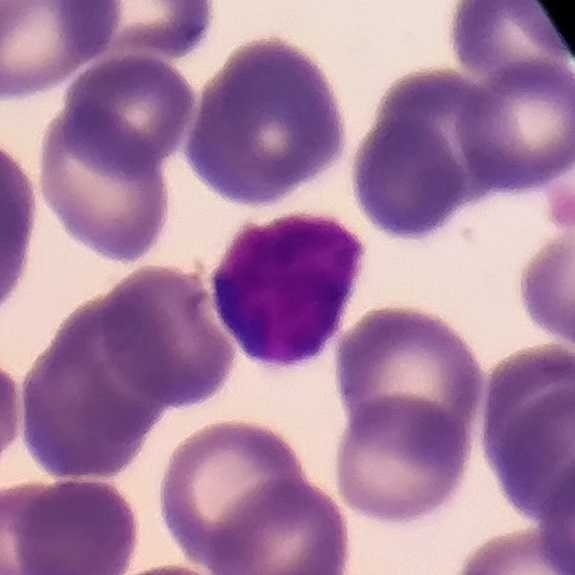

Classification: lymphocyte.
Single-cell crop. Peripheral blood film. 100× magnification.